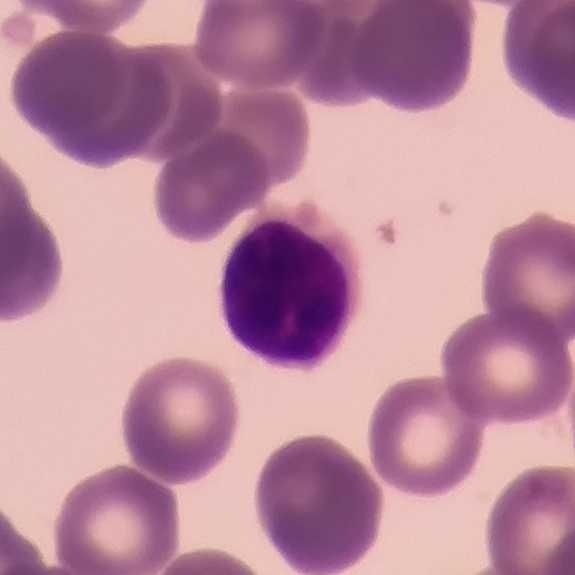
Specimen: peripheral blood smear.
Classification: lymphocyte.
Lineage: lymphoid.